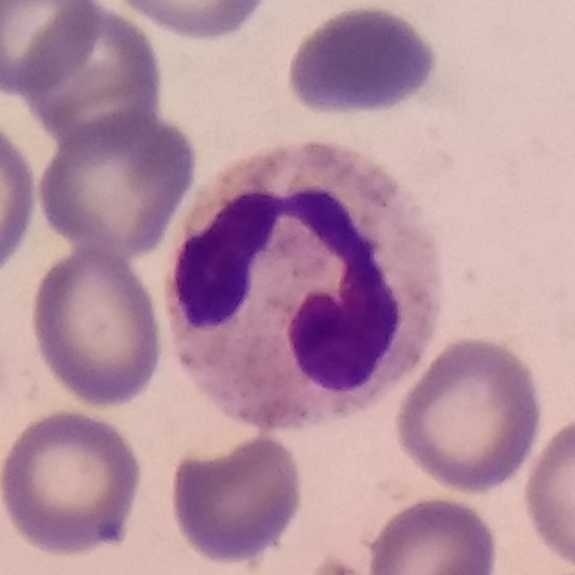

Preparation: Peripheral blood smear.

Neutrophil.